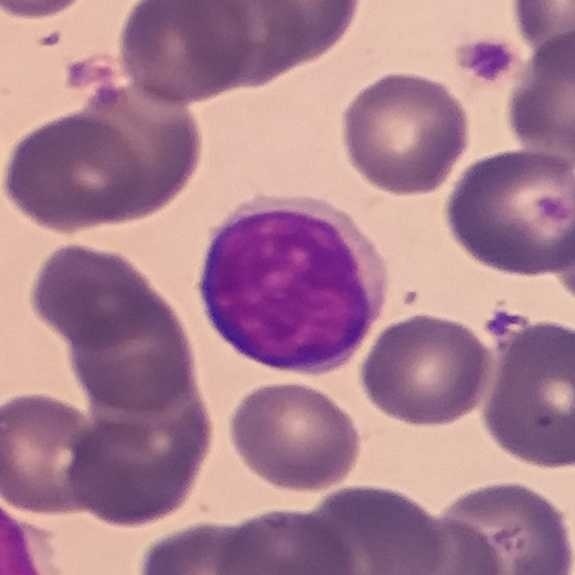Context: Peripheral blood film.
Q: Which cell type is shown here?
A: Lymphocyte.